Peripheral blood film.
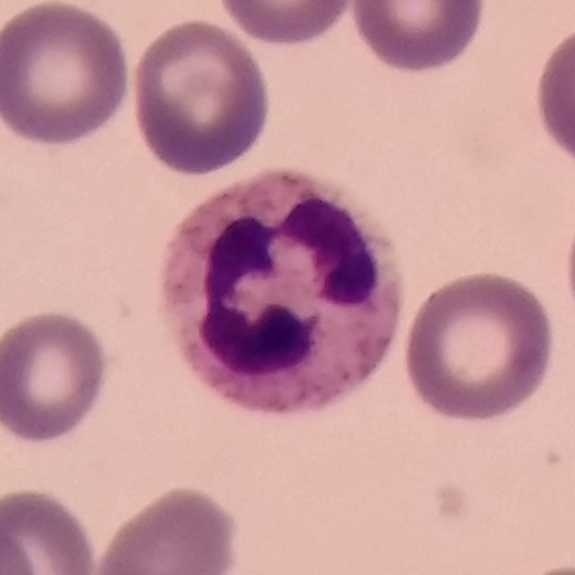 Specimen: peripheral blood smear.
Classification: neutrophilic granulocyte.
Lineage: myeloid.